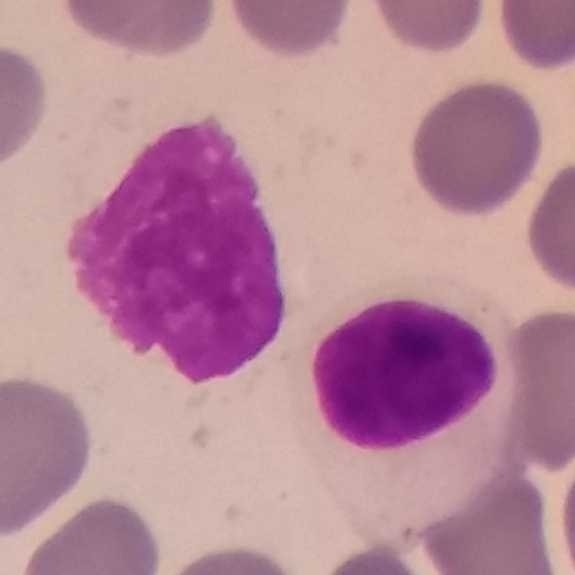 Context: Cropped to one leukocyte · peripheral blood film · image size 575×575.
Q: What cell is this?
A: This is a lymphocyte.